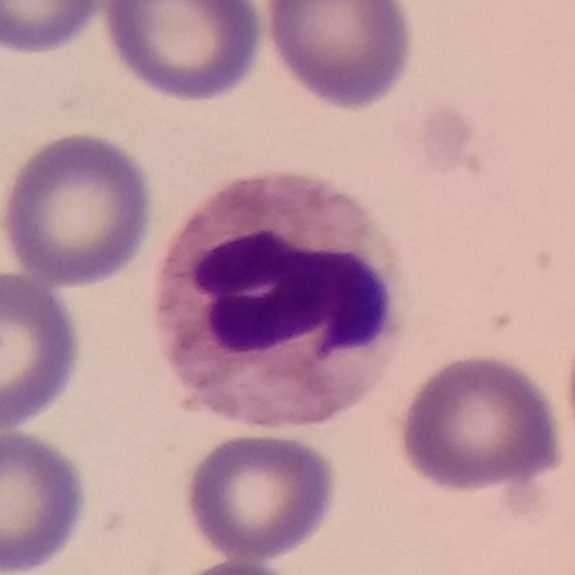
Q: Which cell type is shown here?
A: This is a neutrophil granulocyte.